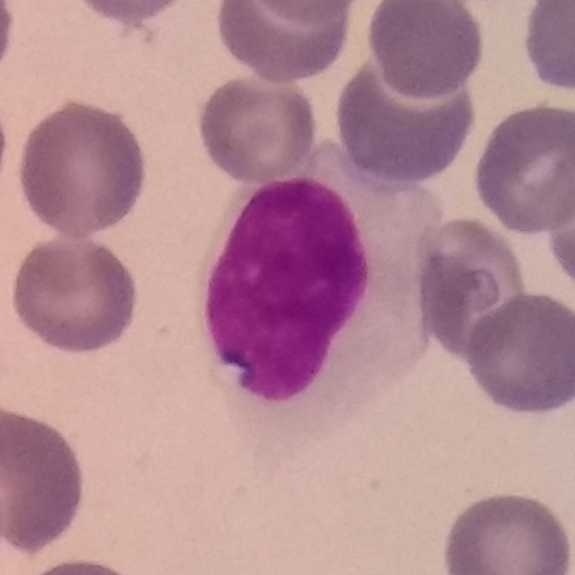Giemsa-stained · peripheral blood smear · smartphone photomicrograph.
Identified as a lymphocyte.